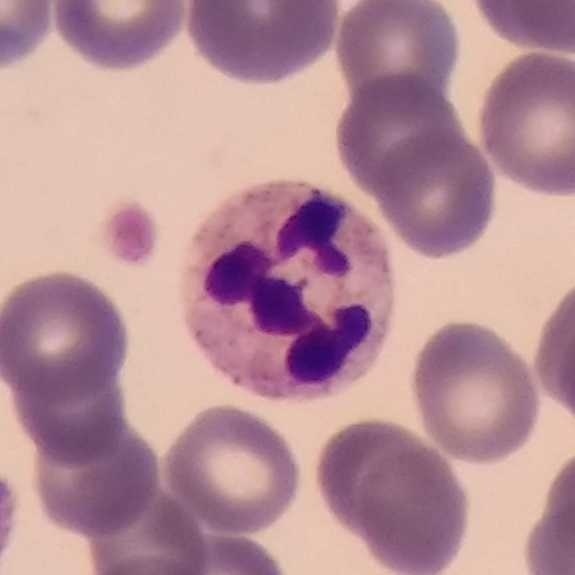

Neutrophil.